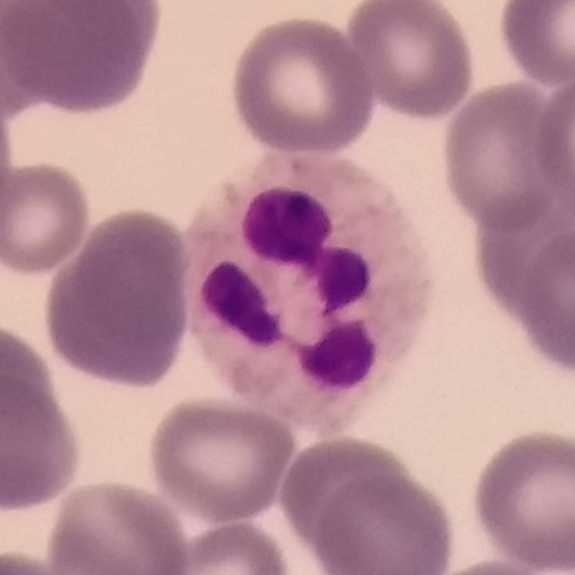

Specimen: peripheral blood smear.
Cell type: neutrophil.
Lineage: myeloid.